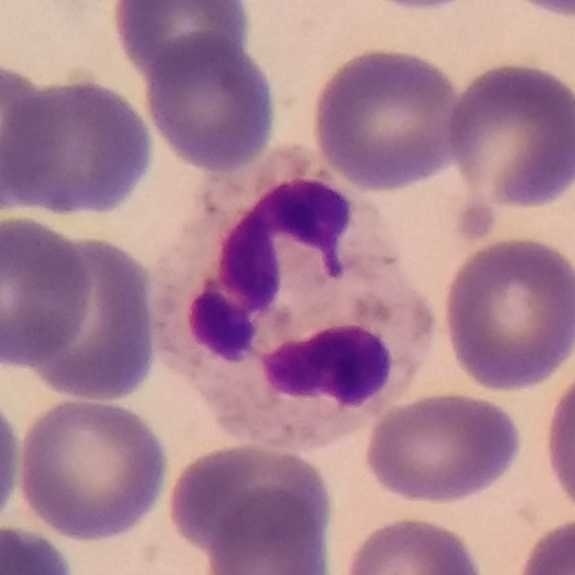Context: Peripheral blood smear.
Q: What is shown here?
A: Neutrophil.